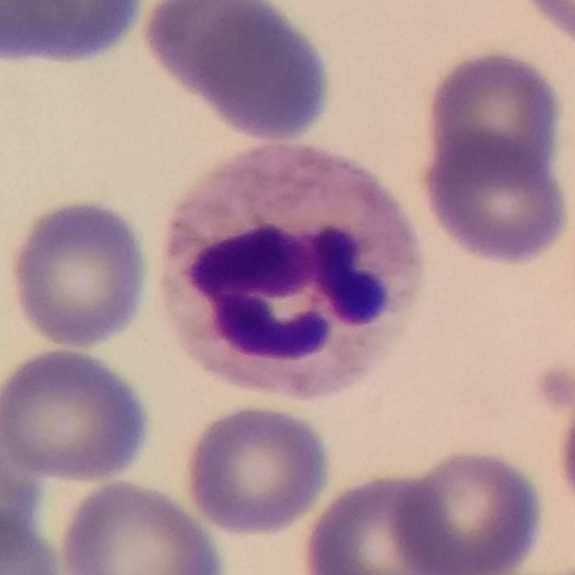Morphological class = neutrophilic granulocyte. Image: Peripheral blood smear; magnification 100×.